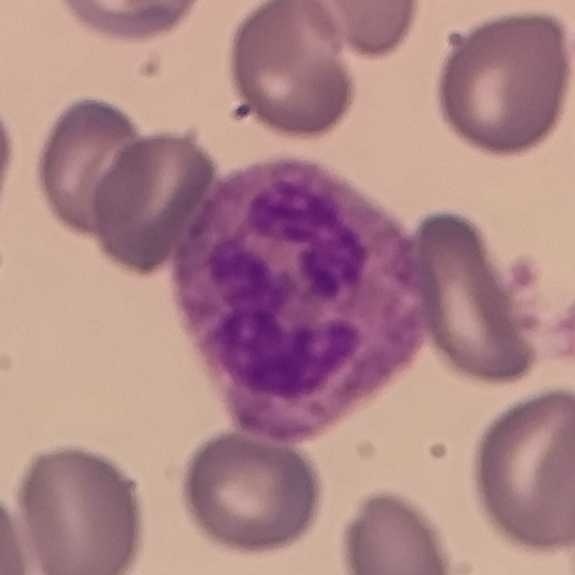Cell: neutrophilic granulocyte. Acquisition: Peripheral blood smear. Imaged at 100×.